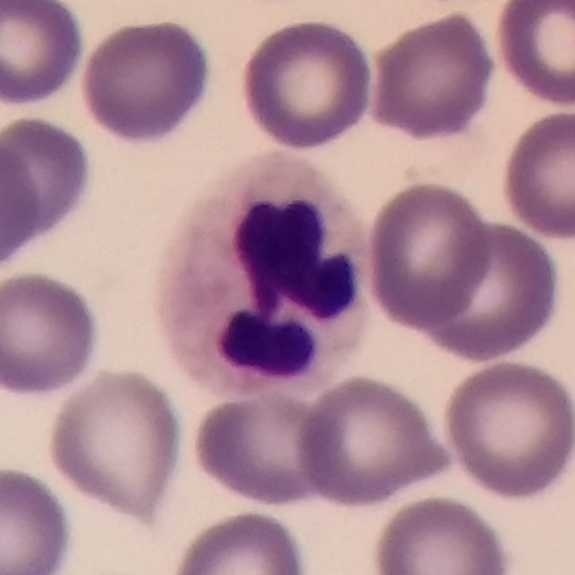The cell type is neutrophilic granulocyte.